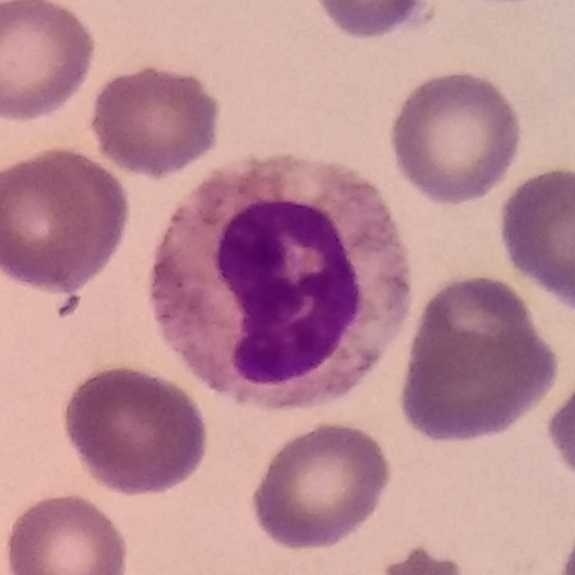
Showing a neutrophil.